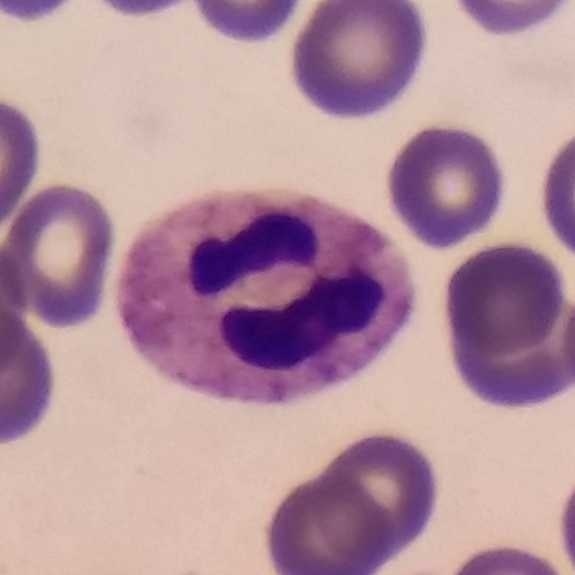
Classification: neutrophil granulocyte.
Peripheral blood smear.